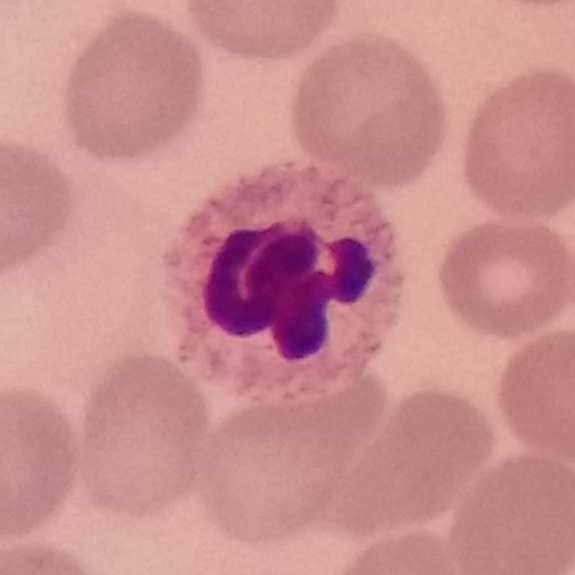
Morphology — neutrophilic granulocyte.